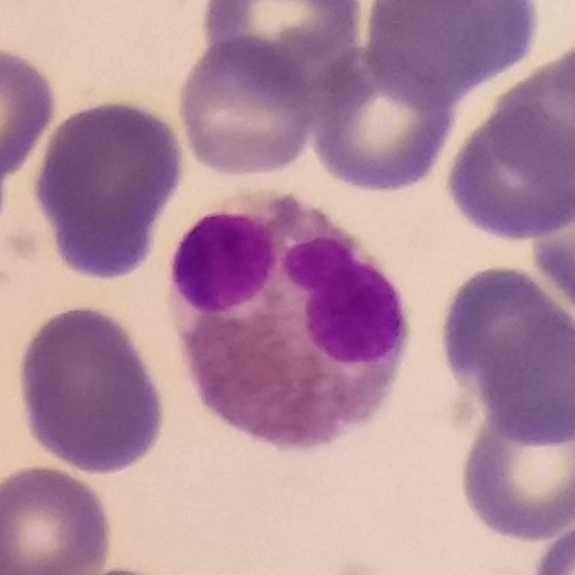 Specimen: peripheral blood film.
White blood cell type: eosinophil.